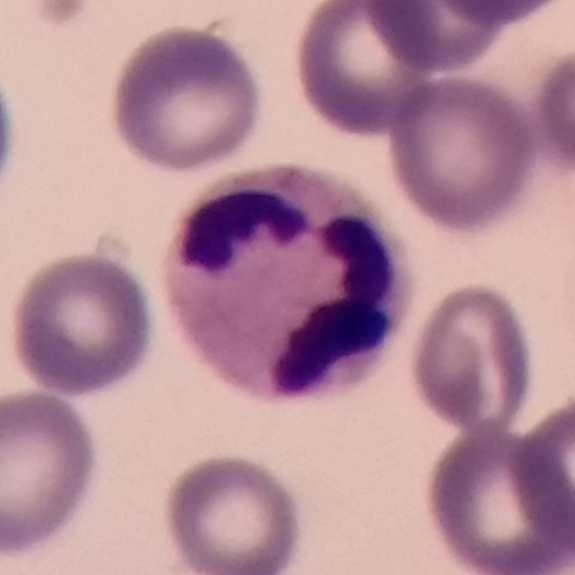

White blood cell type: neutrophil granulocyte.